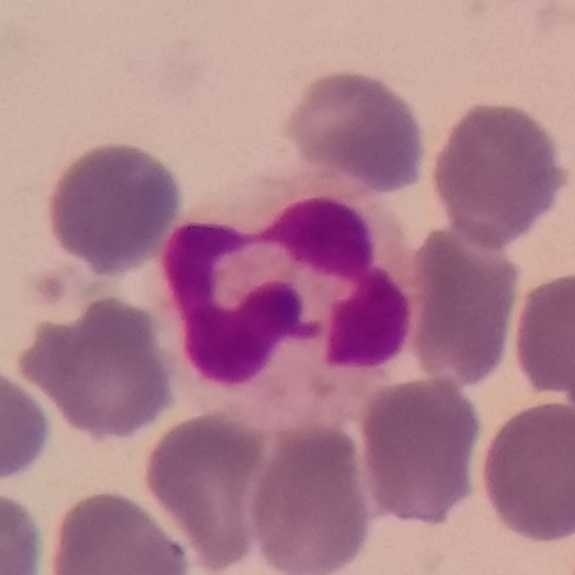{"cell_type": "neutrophil", "lineage": "myeloid"}
Peripheral blood smear; single white blood cell cropped from the smear photograph; 100× magnification.